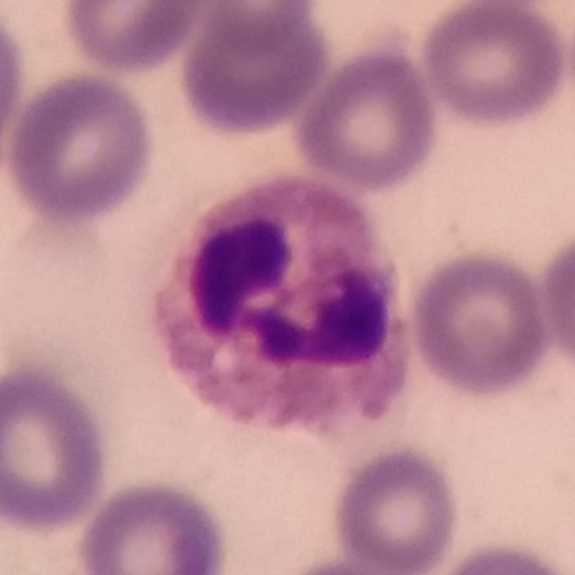
Specimen: peripheral blood film.
Cell: neutrophil granulocyte.
Lineage: myeloid.
Single-cell field.